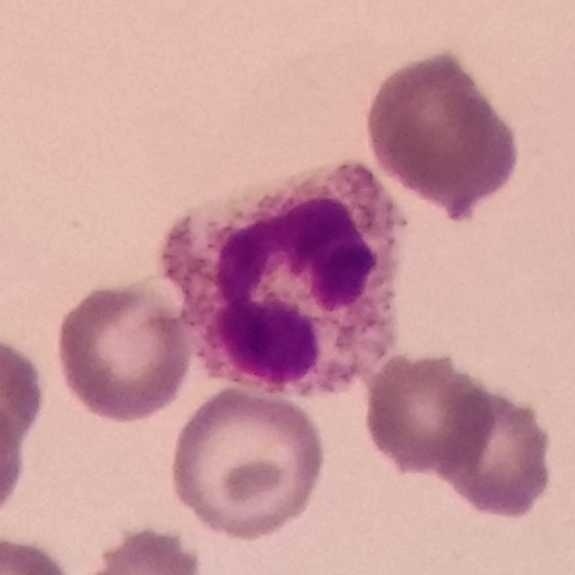Preparation: Peripheral blood film.
Morphology consistent with a neutrophil granulocyte.